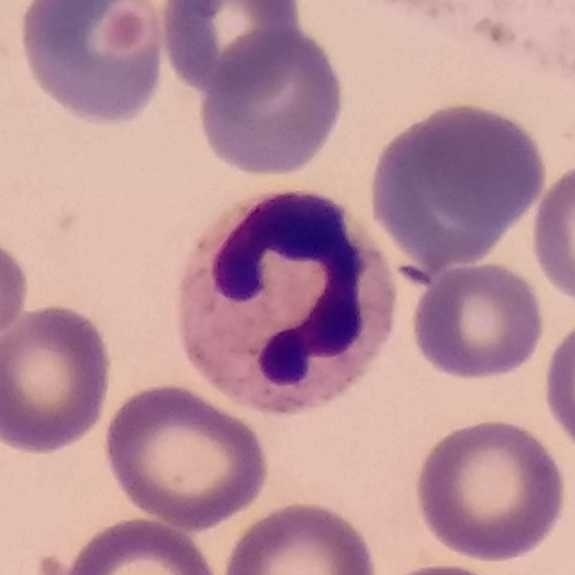Cell — neutrophil granulocyte. Context: Phone-camera image taken through the microscope ocular. Cropped to one leukocyte. Peripheral blood smear.